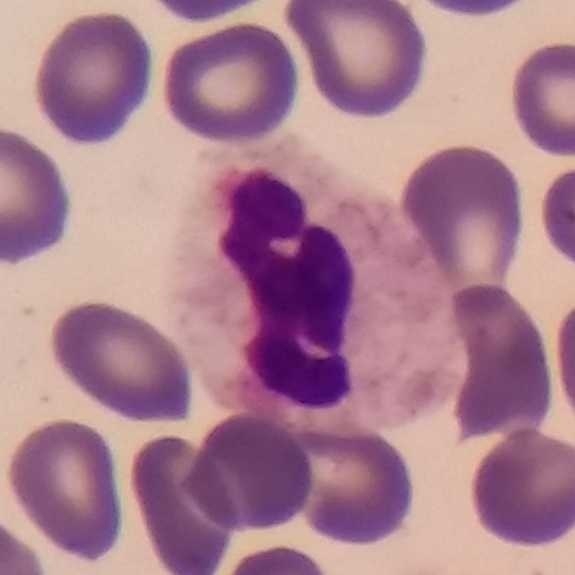
From a peripheral blood smear: a neutrophilic granulocyte.